Peripheral blood film: 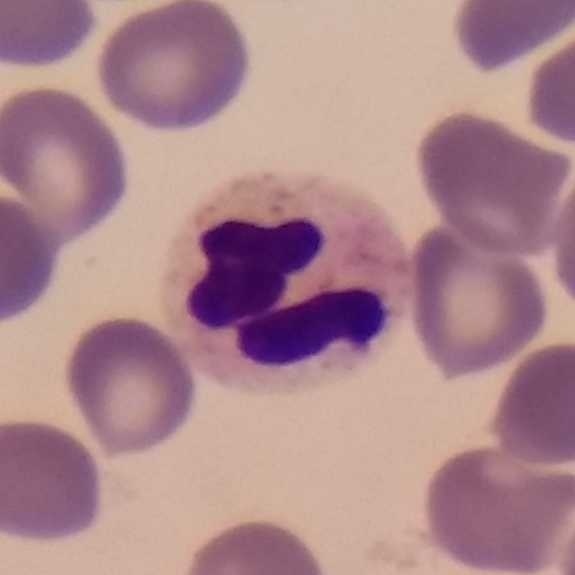 Cell = neutrophilic granulocyte.